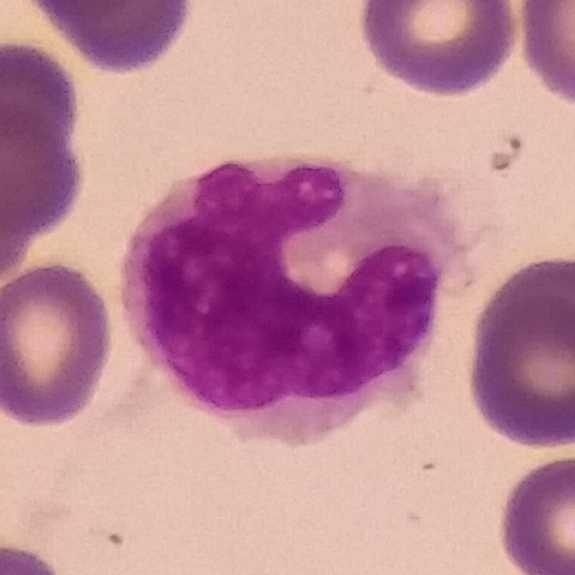

Image: Cropped to one leukocyte · peripheral blood smear.
Morphology → monocyte.